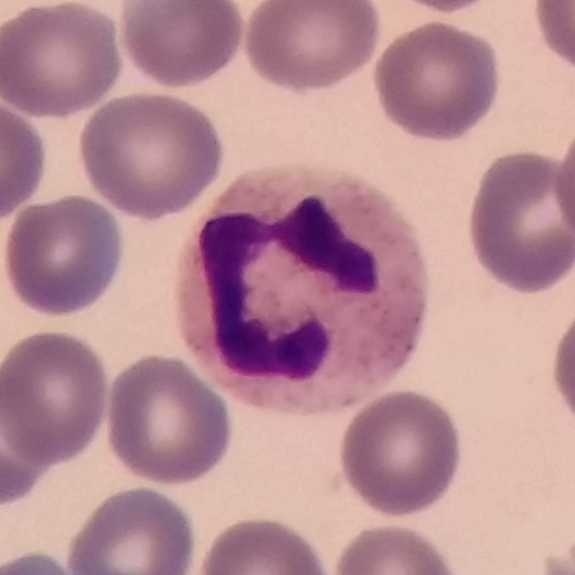
The cell shown is a neutrophilic granulocyte.
Image: 100× magnification. Peripheral blood smear. Image size 575×575.